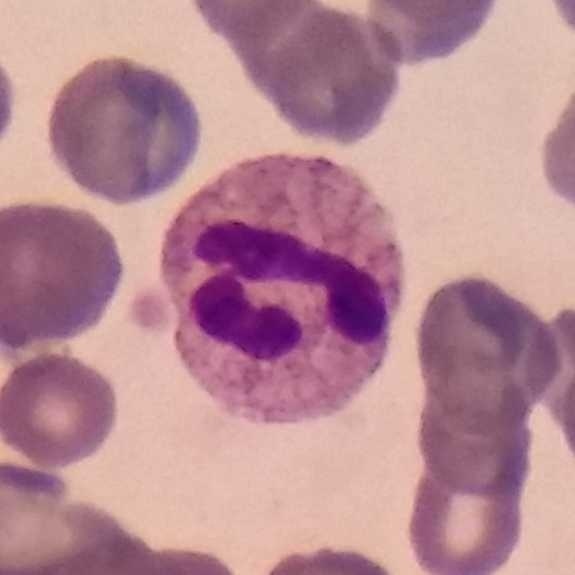 Context: Single-cell crop · peripheral blood film.

Morphology consistent with a neutrophil granulocyte.